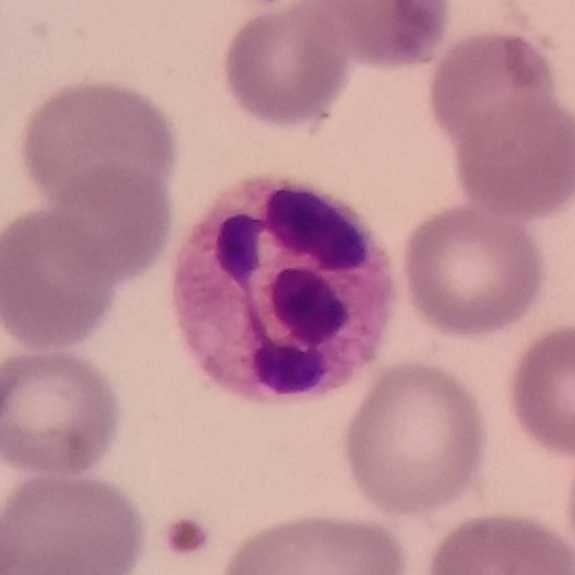
Context: Peripheral blood smear. Showing a neutrophil.